Cropped to one leukocyte · Giemsa stain · peripheral blood film:
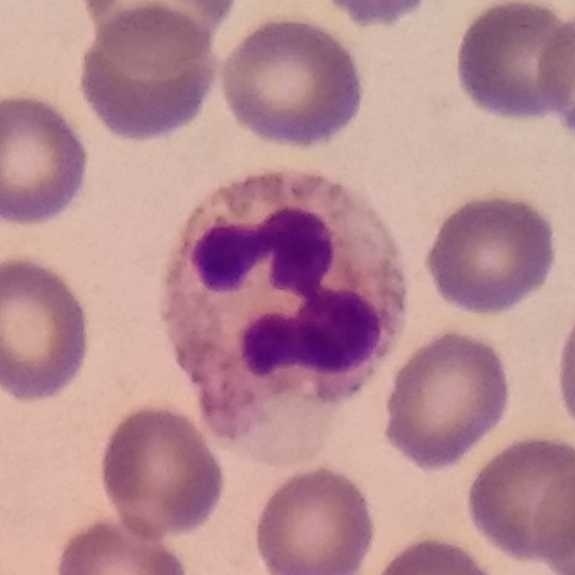

Morphology → neutrophil.